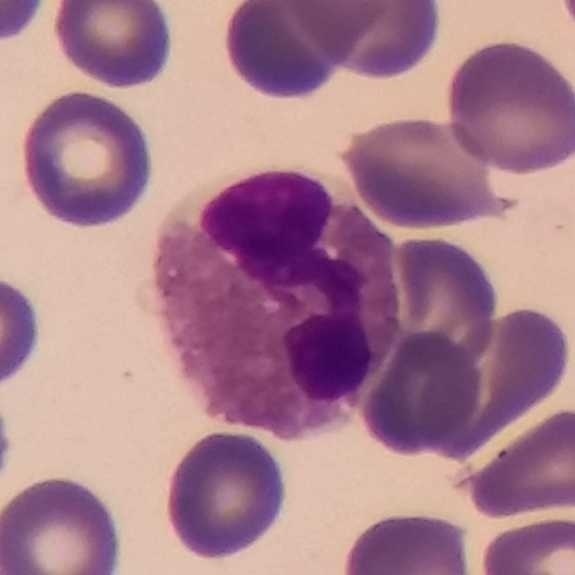
Single cell identified as an eosinophilic granulocyte.